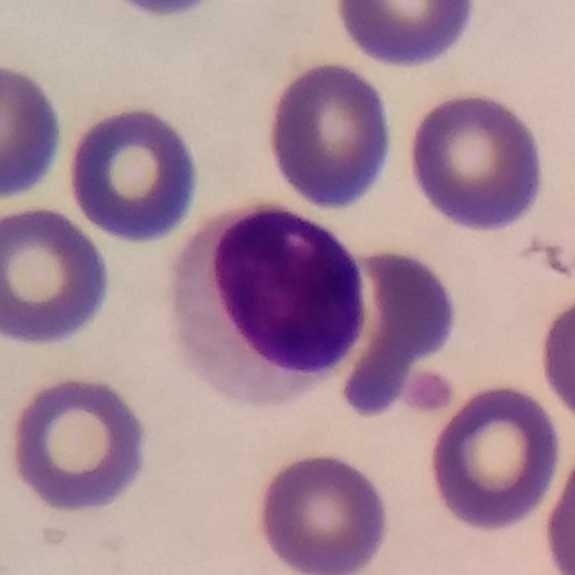
Specimen: peripheral blood film.
White blood cell type: lymphocyte.